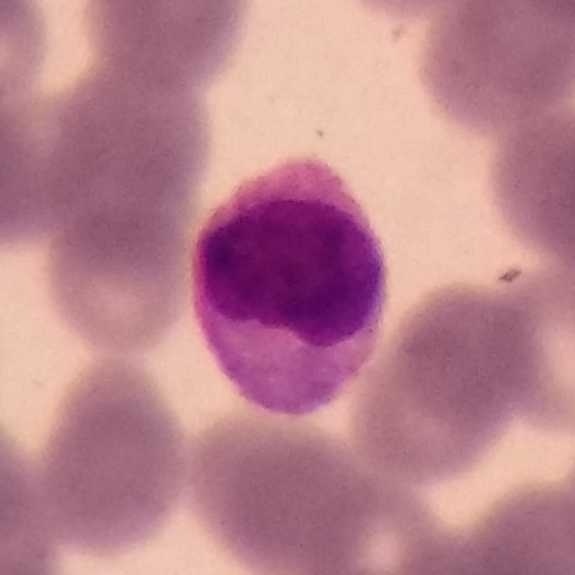 Morphology consistent with a lymphocyte.